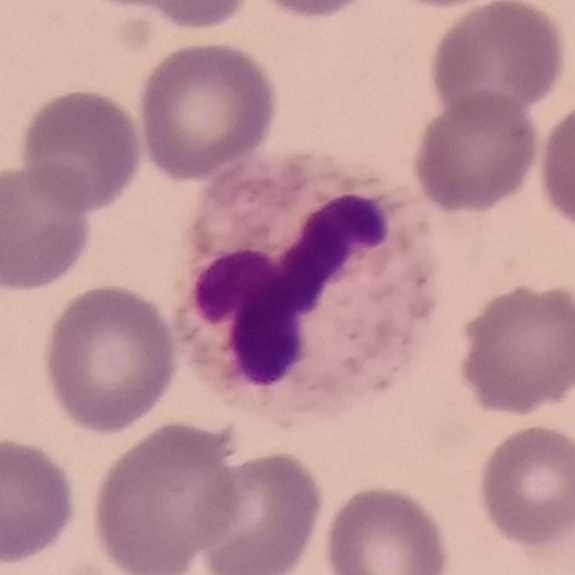
Q: What type of cell is this?
A: A neutrophilic granulocyte. Preparation: Giemsa stain · peripheral blood smear.